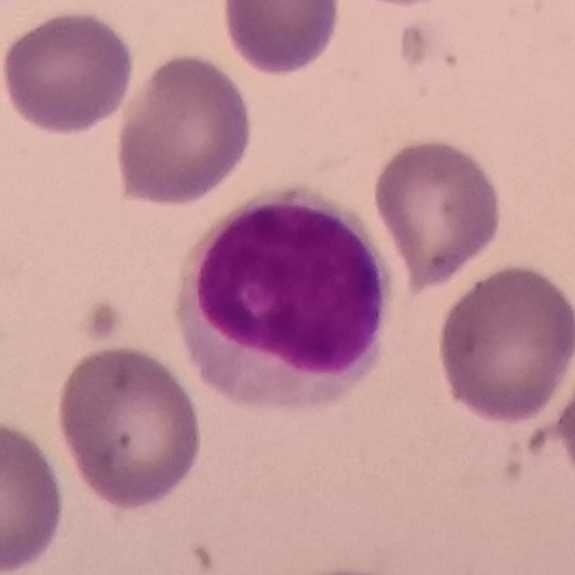
Context: Peripheral blood smear. 575 by 575 pixels.
The white blood cell in this image is a lymphocyte.